Giemsa-stained · cropped to one leukocyte · peripheral blood smear
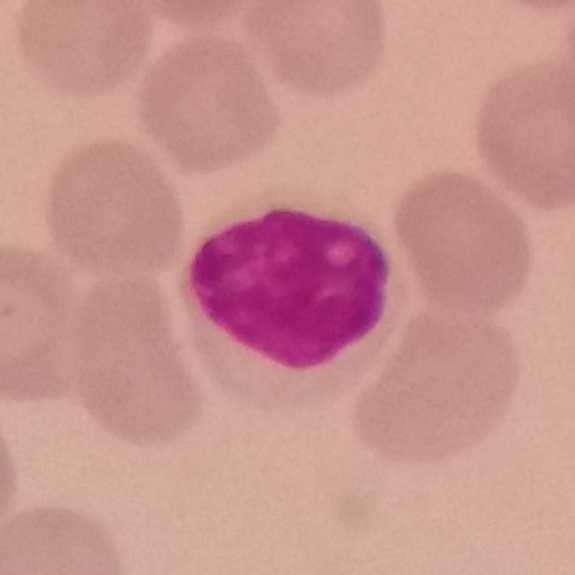

Q: What type of cell is this?
A: A lymphocyte.